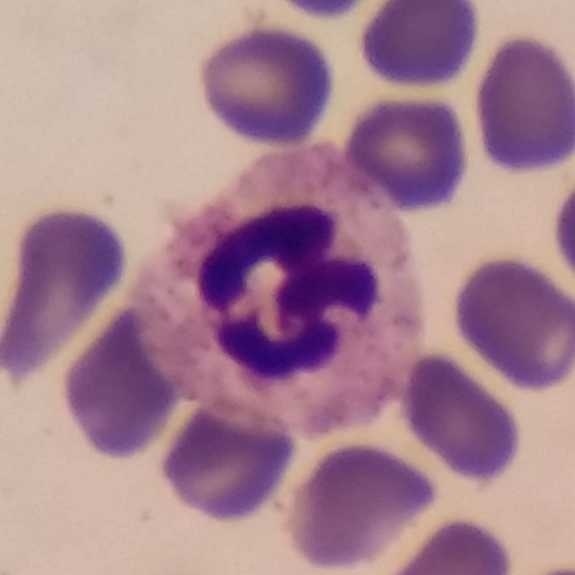
Q: What is the morphological classification of this cell?
A: It is a neutrophilic granulocyte.